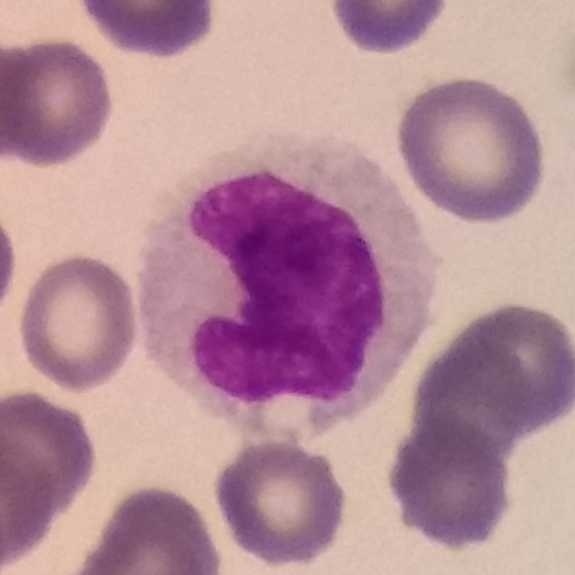

{"cell_type": "monocyte"}